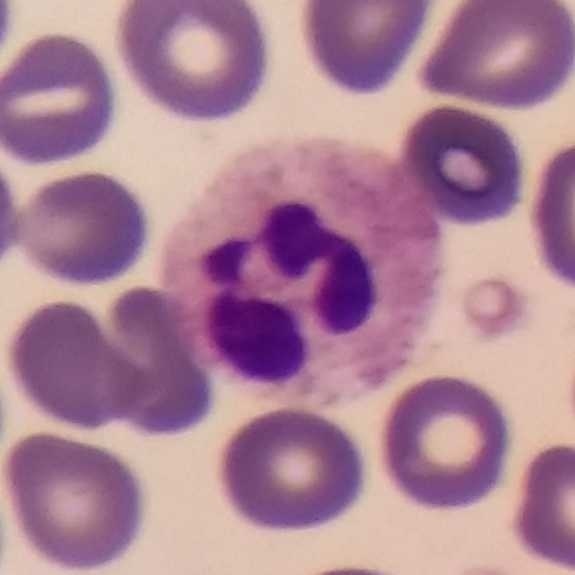

Q: Which cell type is shown here?
A: It is a neutrophil granulocyte.
Acquisition: Imaged at 100× · smartphone photomicrograph · peripheral blood smear.